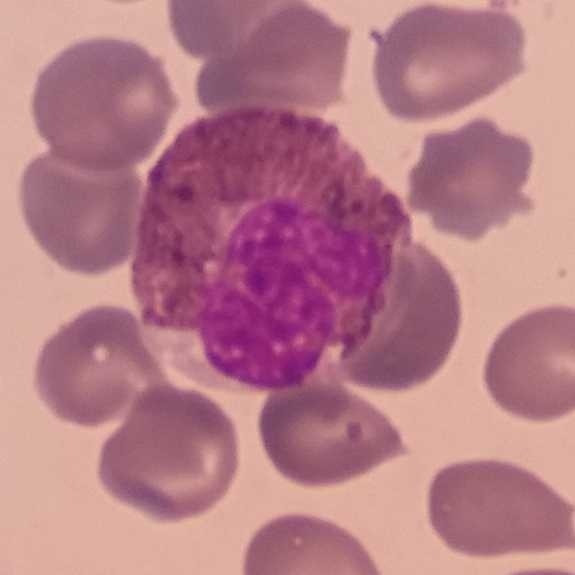Image: Smartphone camera mounted on the microscope eyepiece · peripheral blood film.

The cell shown is an eosinophil.